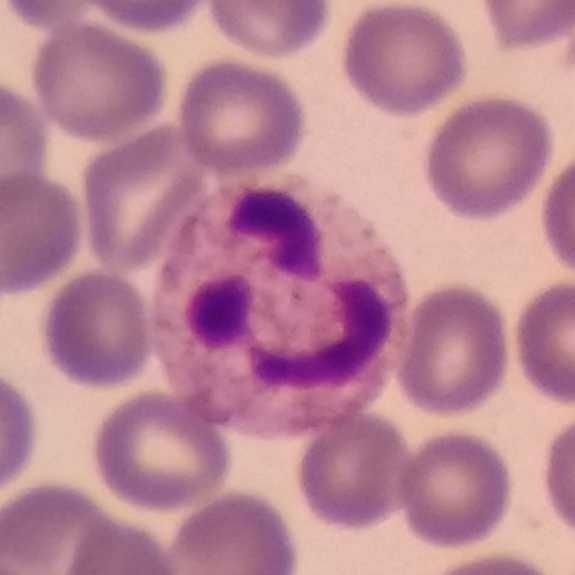Image: 575 by 575 pixels · peripheral blood film.

Showing a neutrophil.